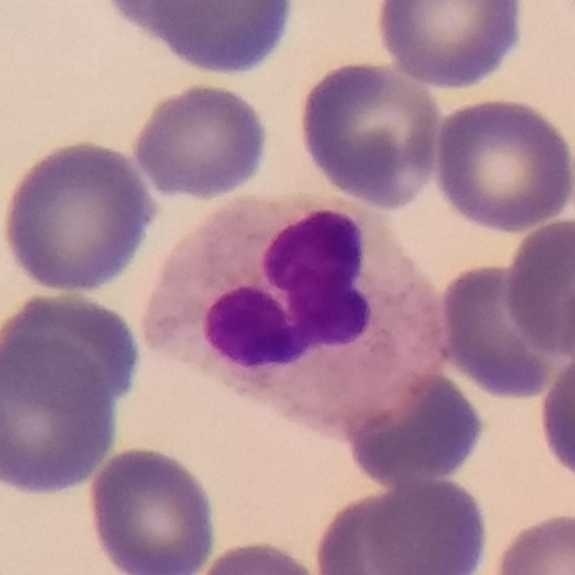 Single cell identified as a neutrophilic granulocyte.